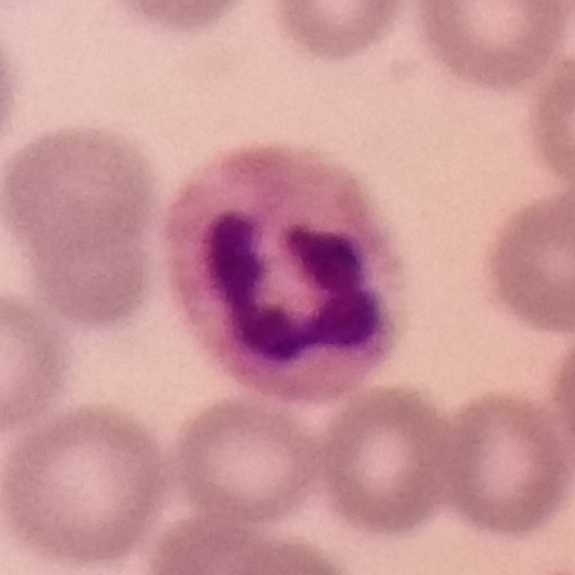Context: Peripheral blood film · image size 575×575. Q: What is this?
A: This is a neutrophilic granulocyte.